Peripheral blood smear · imaged at 100× · 575×575 px:
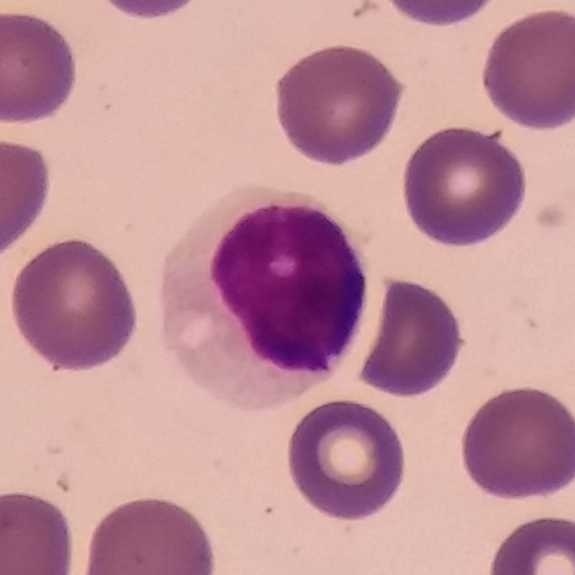
Morphology → lymphocyte.